Stained with Giemsa. Single-cell field. Peripheral blood film: 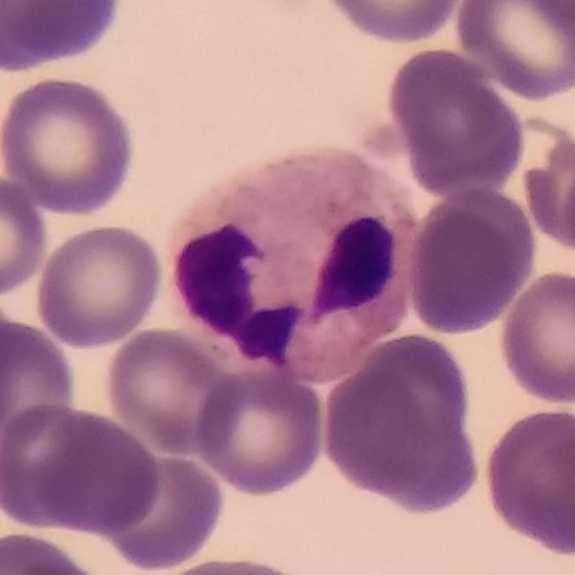
Cell — neutrophil.